Peripheral blood film — 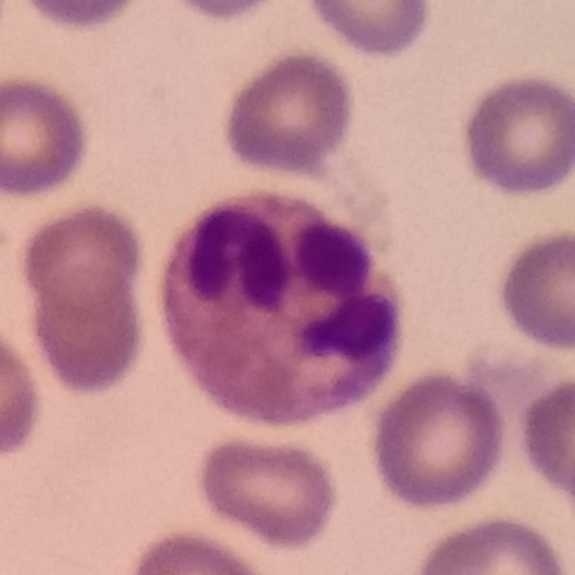Q: Classify this leukocyte.
A: It is a neutrophil granulocyte.